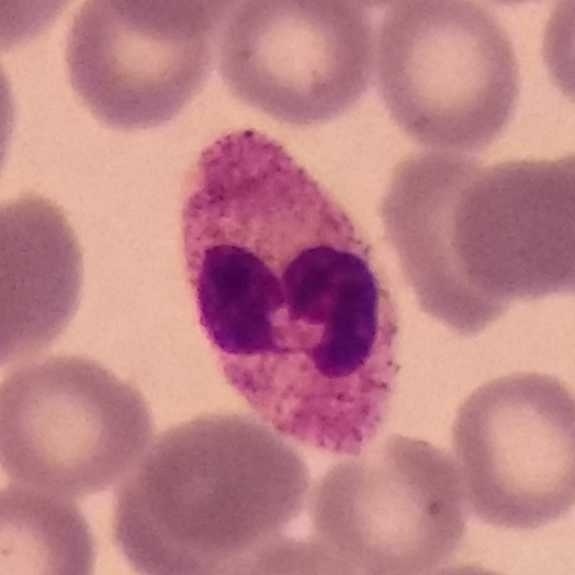 Showing a neutrophil.

Peripheral blood smear.